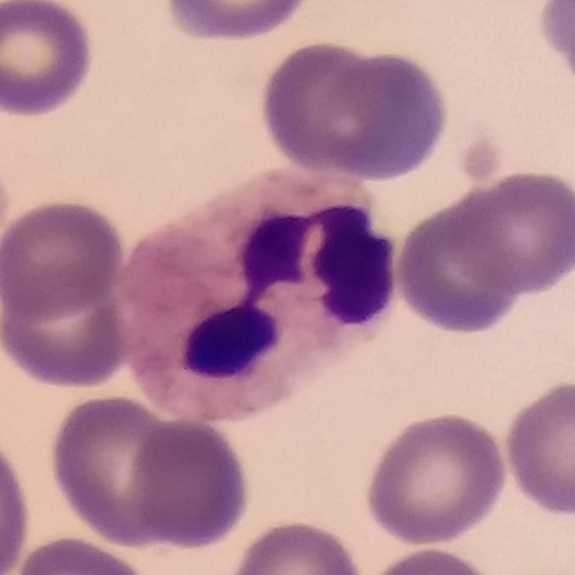
Specimen: peripheral blood film.
Morphological class: neutrophil.